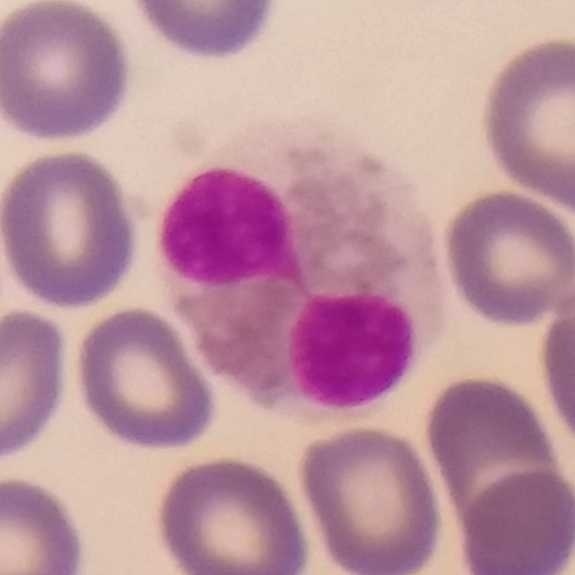
Peripheral blood smear showing an eosinophil.